Magnification 100×; peripheral blood smear.
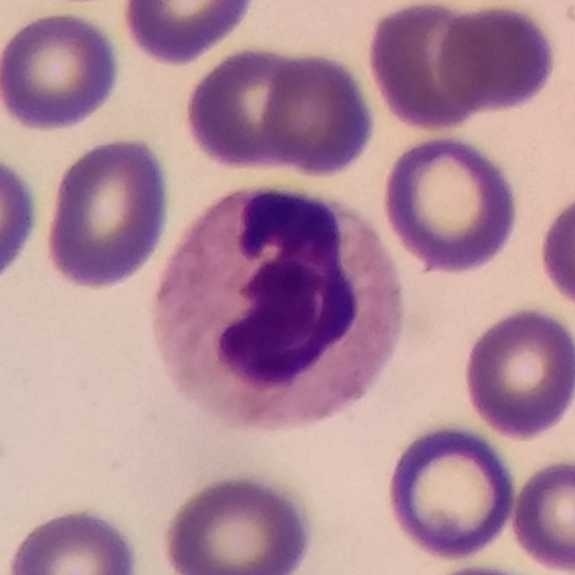 Specimen: peripheral blood film.
Cell type: neutrophil granulocyte.